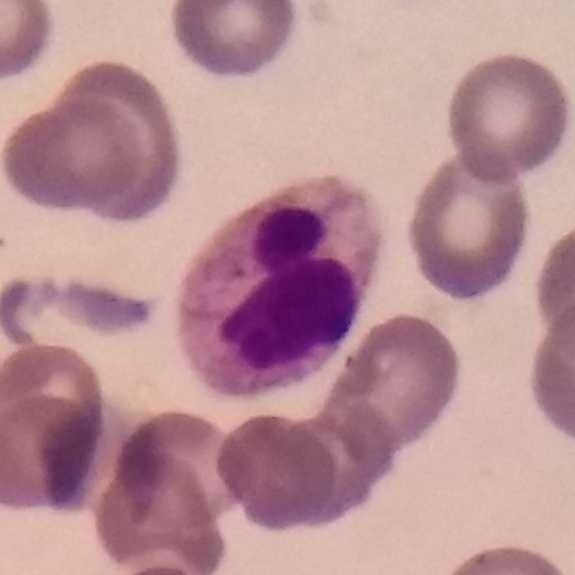

Peripheral blood smear showing a neutrophil granulocyte.